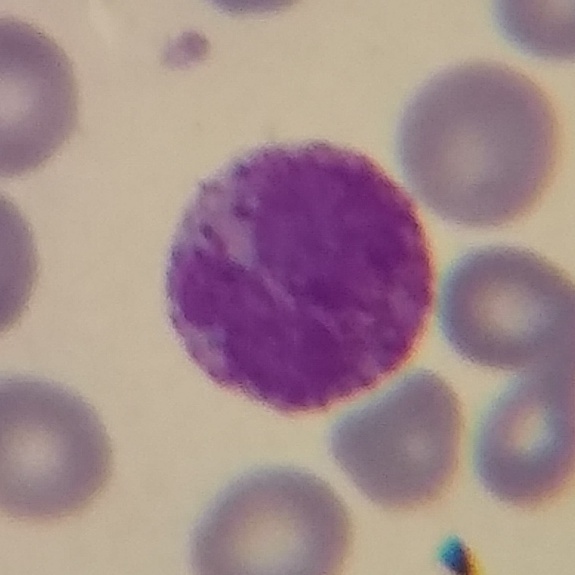 Specimen: peripheral blood smear.
Morphological class: basophil.
Lineage: myeloid. Context: Giemsa-stained.